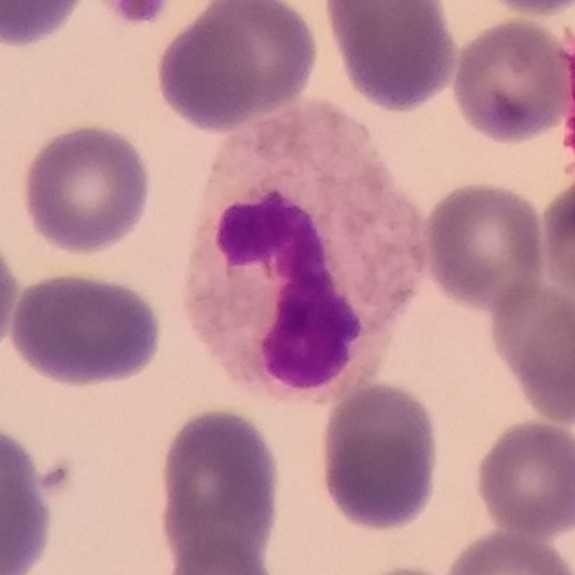Cell type = neutrophil.